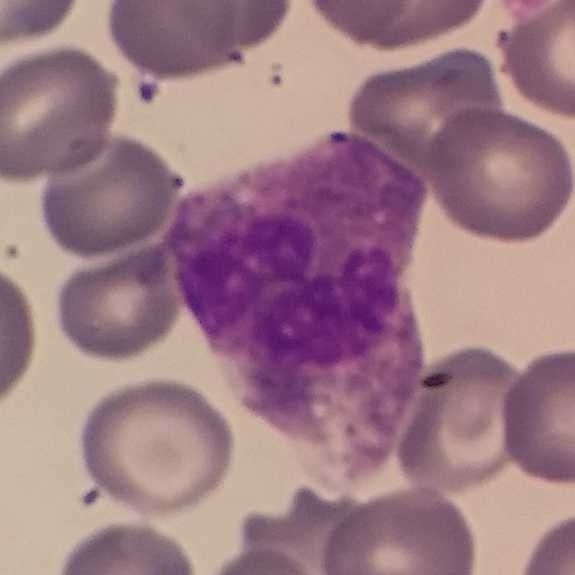Acquisition: Peripheral blood film.
{"cell_type": "neutrophilic granulocyte"}